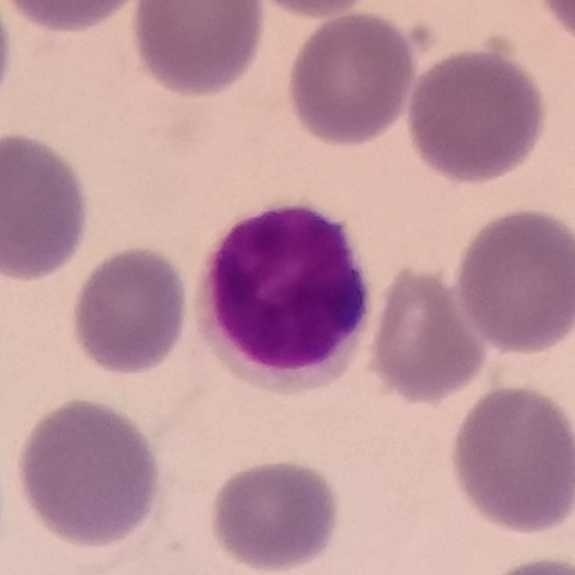Context: Peripheral blood smear.

Showing a lymphocyte.